Peripheral blood film
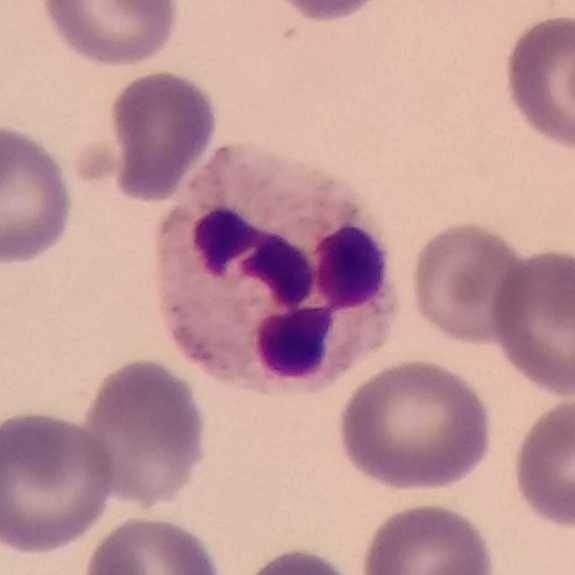 The cell type is neutrophilic granulocyte.